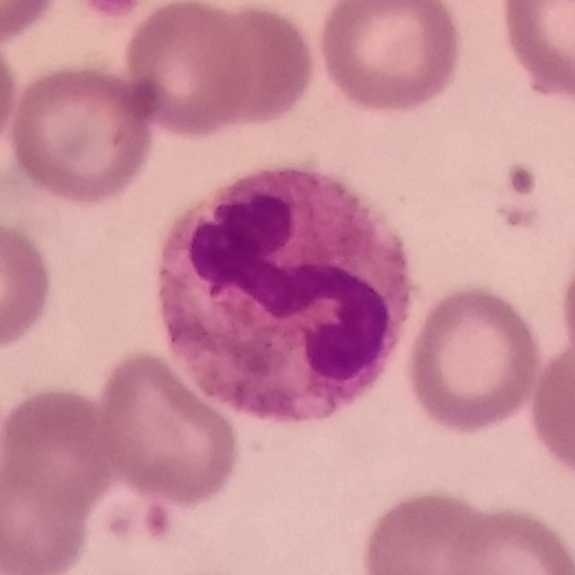 Preparation: Peripheral blood smear. Neutrophil.